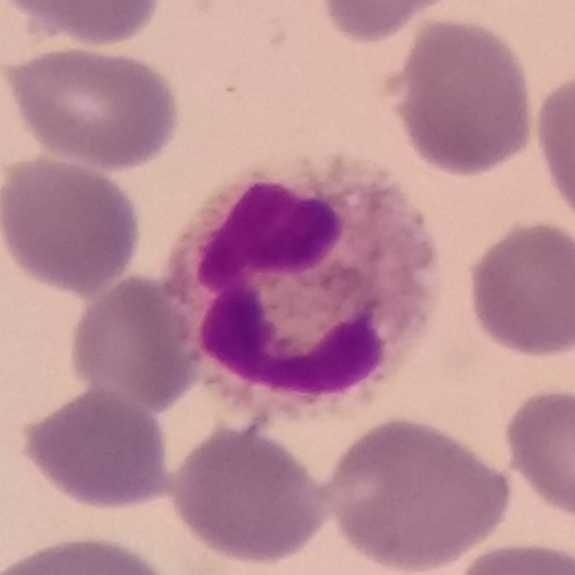 Morphology — neutrophilic granulocyte. Preparation: Peripheral blood film.